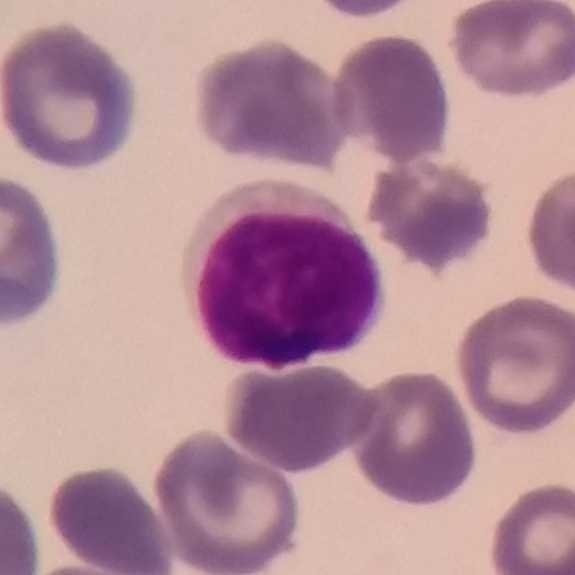

Preparation: Peripheral blood smear.
White blood cell type = lymphocyte.